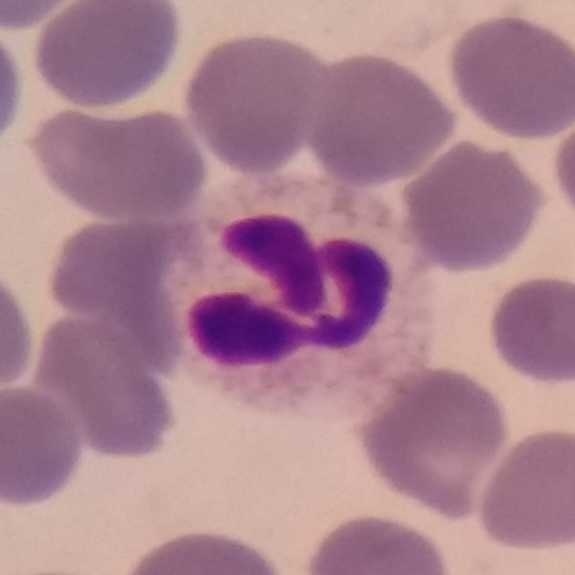
Acquisition: 575×575; peripheral blood smear.
The white blood cell in this image is a neutrophil.